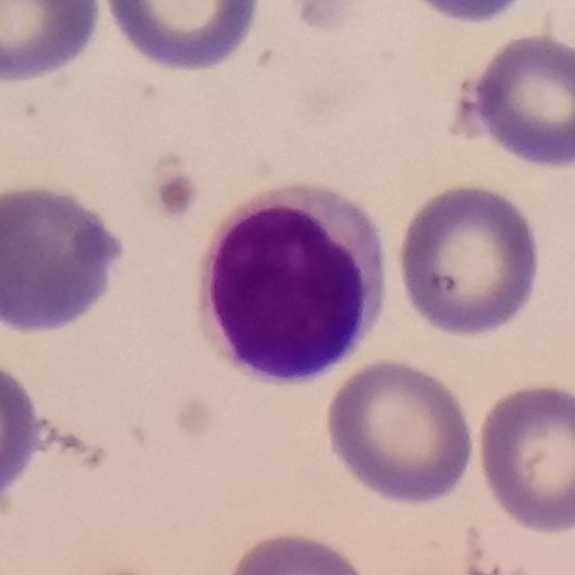 Acquisition: Peripheral blood smear; single white blood cell cropped from the smear photograph. The white blood cell in this image is a lymphocyte.